Peripheral blood smear · 100× magnification:
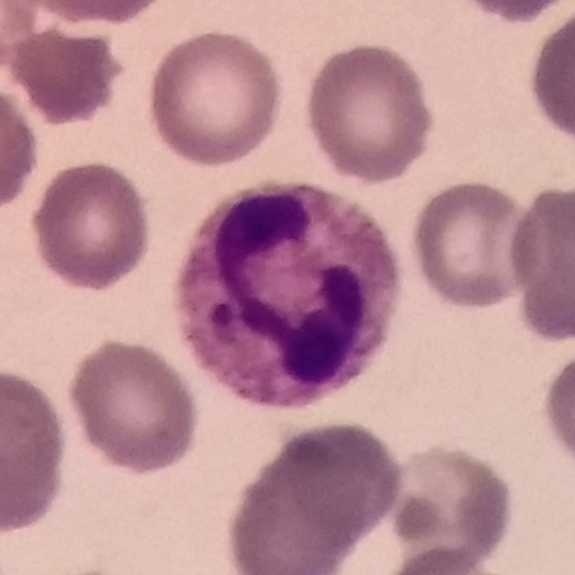
A neutrophil granulocyte.